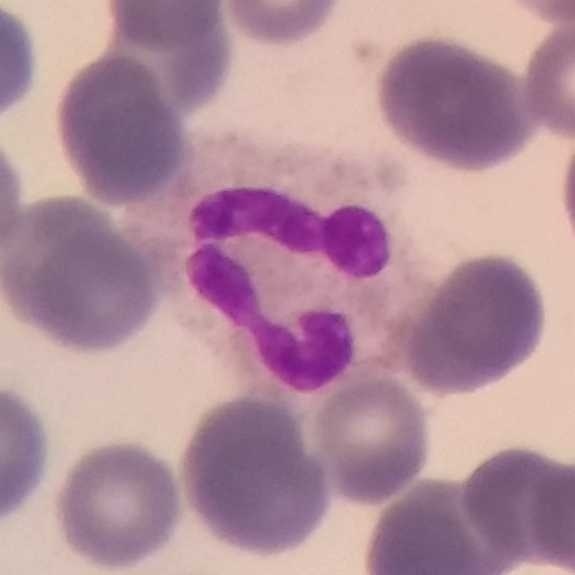 Q: Which type of white blood cell is this?
A: Neutrophilic granulocyte.